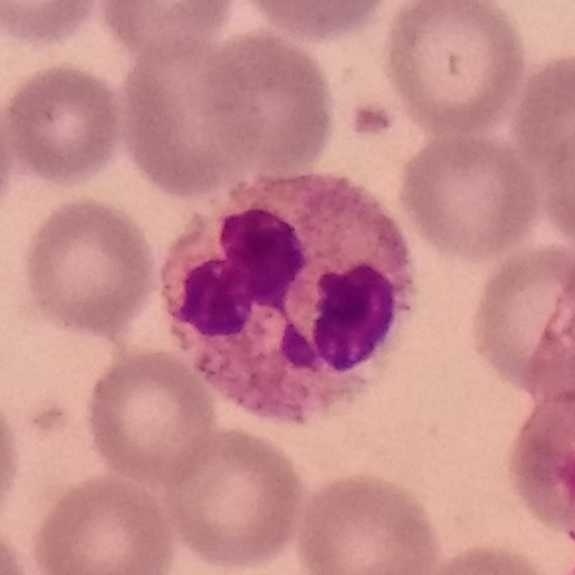
Peripheral blood film.
Impression — neutrophilic granulocyte.